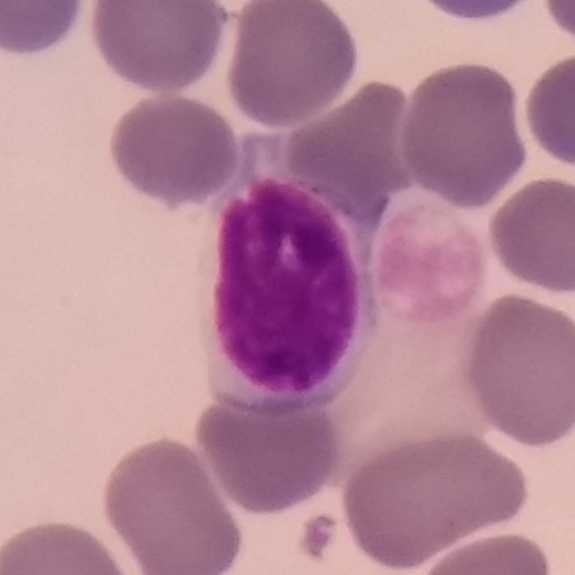
White blood cell type: lymphocyte.

Acquisition: Peripheral blood smear.